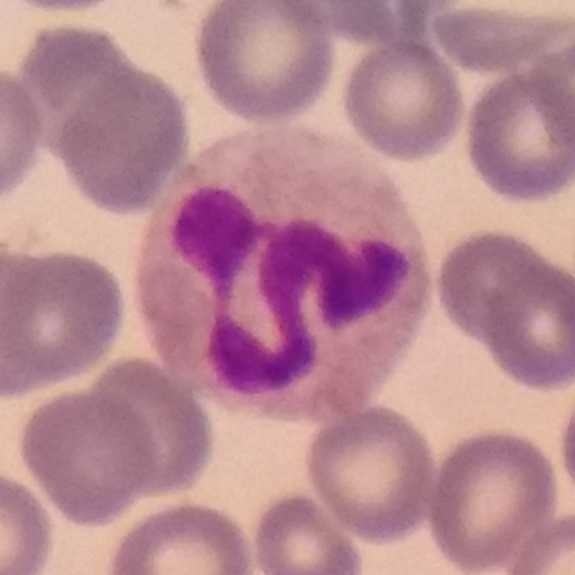Showing a neutrophil granulocyte.